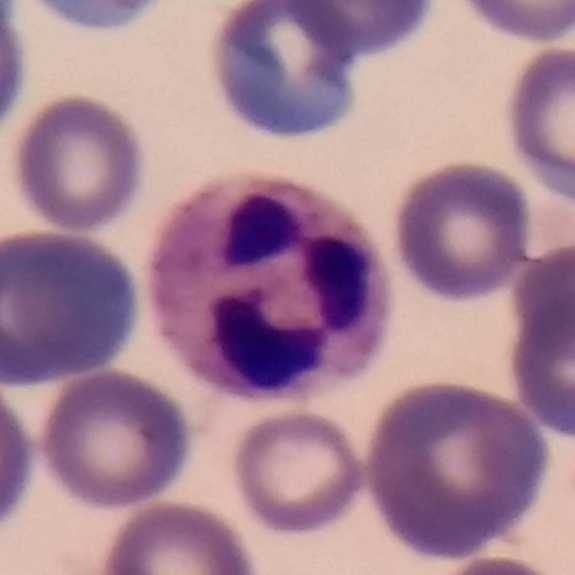
Morphology consistent with a neutrophilic granulocyte.